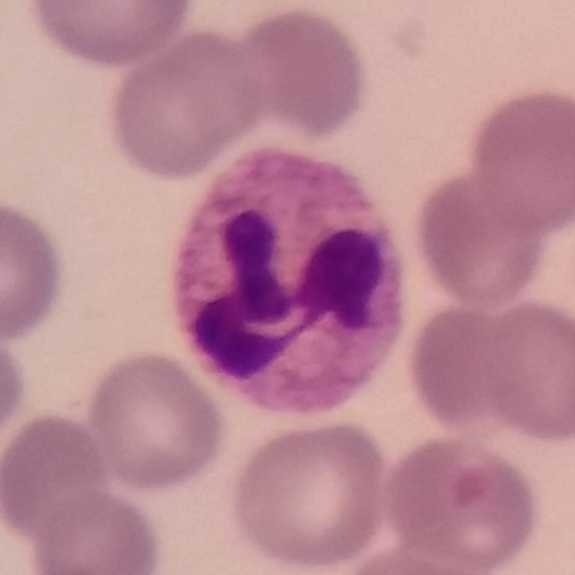
Preparation: Peripheral blood film.
Impression — neutrophil granulocyte.